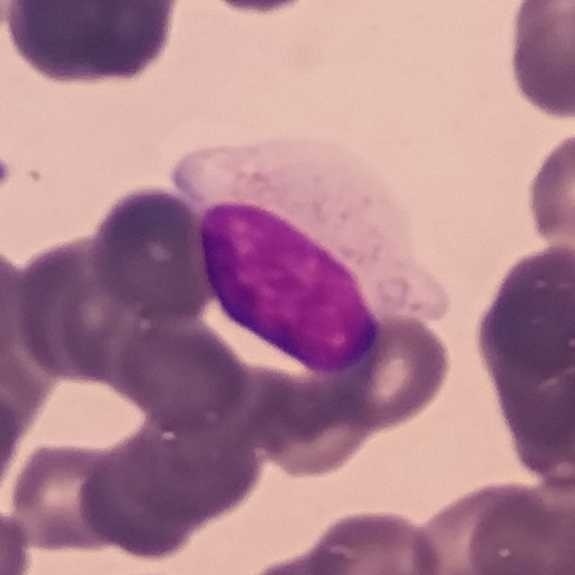 The cell is lymphocyte.

Image: Peripheral blood film.